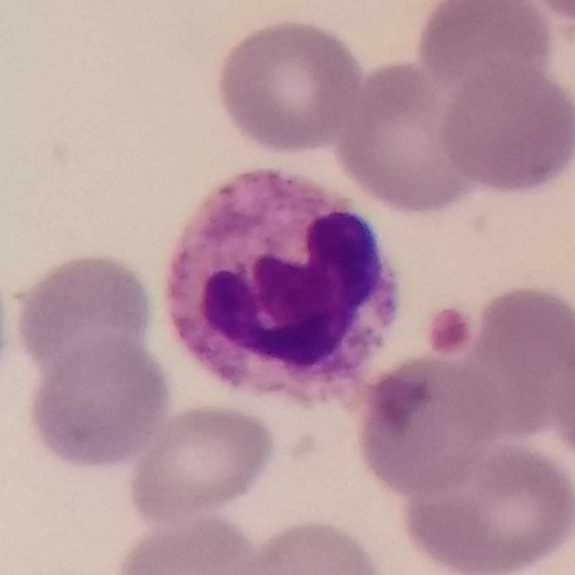 Q: What cell is this?
A: This is a neutrophil granulocyte.

Image: Peripheral blood film.